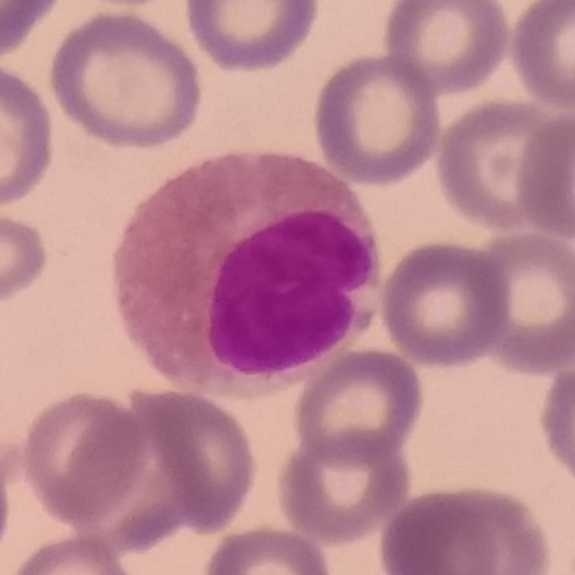 Identified as an eosinophil.

Acquisition: Peripheral blood film; smartphone photomicrograph.